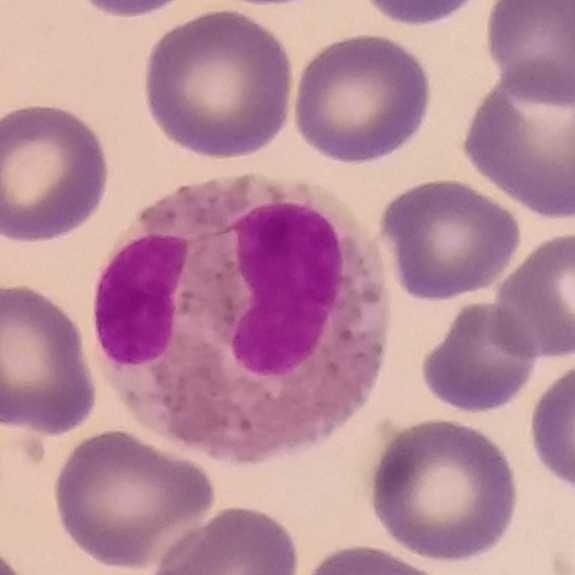 Specimen: peripheral blood film.
Classification: eosinophil.
Lineage: myeloid. Single white blood cell cropped from the smear photograph; stained with Giemsa.